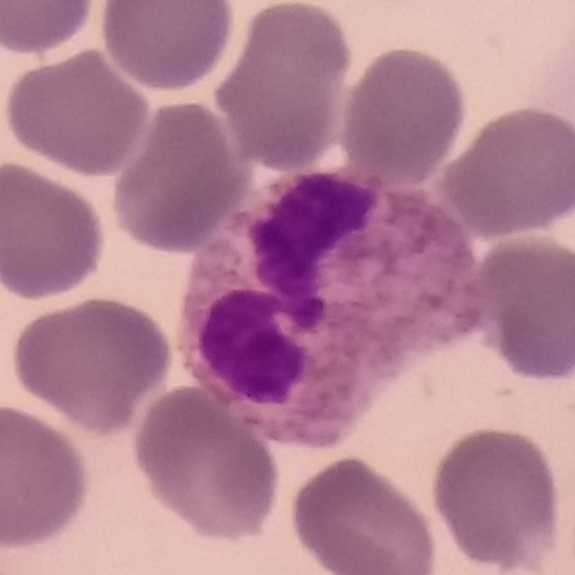
The cell is neutrophilic granulocyte.
Preparation: Peripheral blood film.